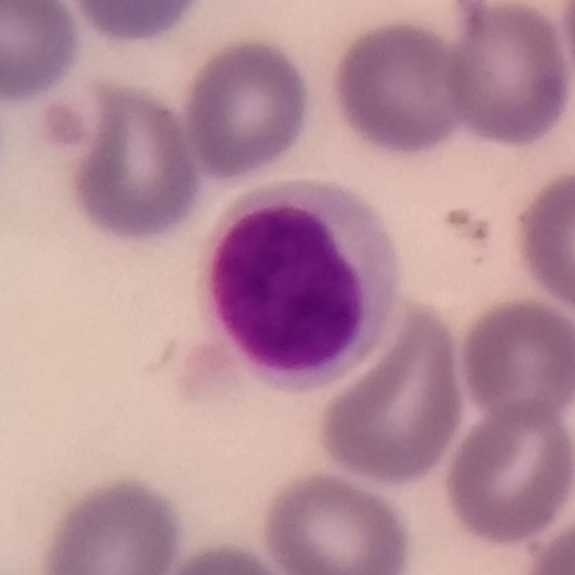
Peripheral blood smear. Phone-camera image taken through the microscope ocular. The white blood cell in this image is a lymphocyte.